Peripheral blood film:
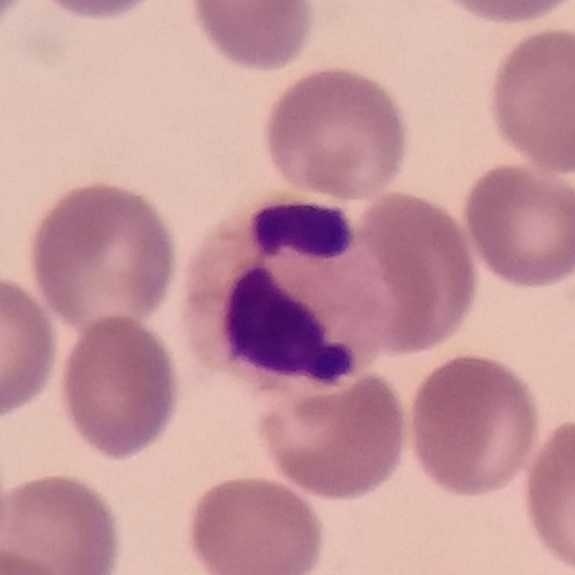
Morphological class = neutrophil granulocyte.